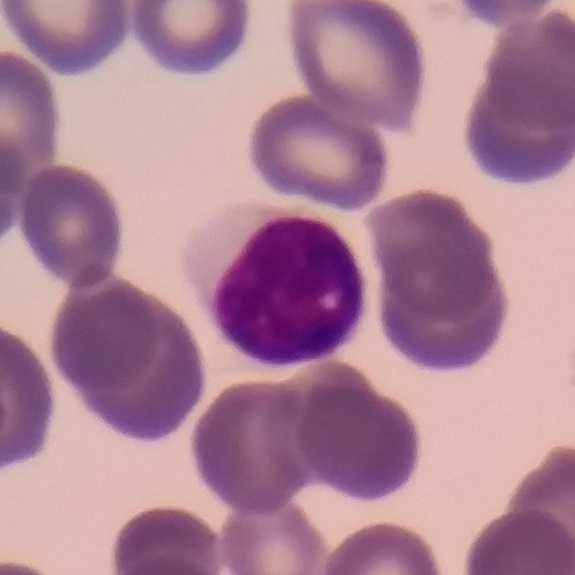Peripheral blood film, single cell — lymphocyte.